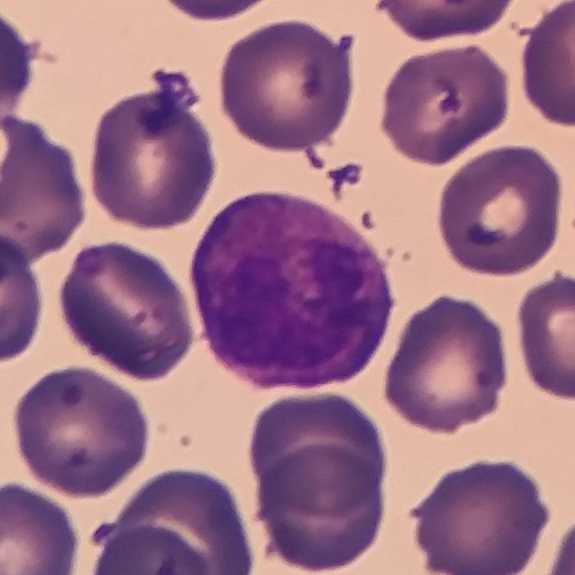 White blood cell type = neutrophil. Context: Peripheral blood smear.